575×575 px; peripheral blood film; imaged at 100×: 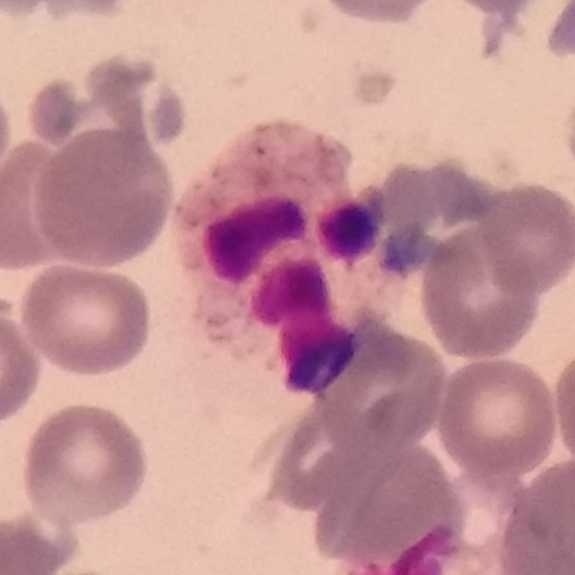
Specimen: peripheral blood film.
Cell type: neutrophil granulocyte.